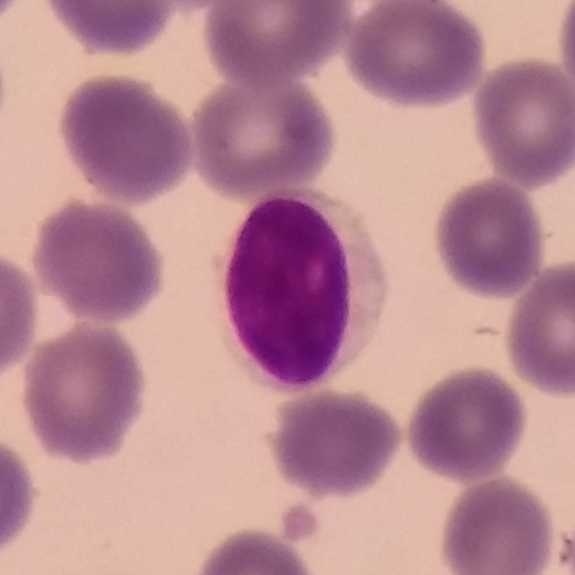 White blood cell from a peripheral blood smear: lymphocyte.